Peripheral blood smear.
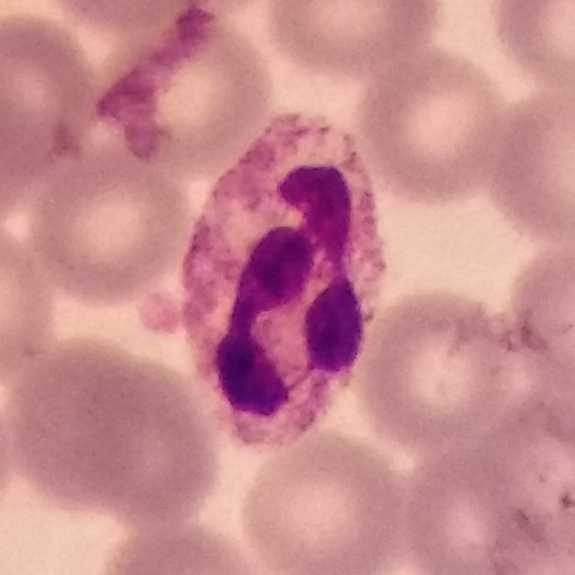
Identified as a neutrophil.